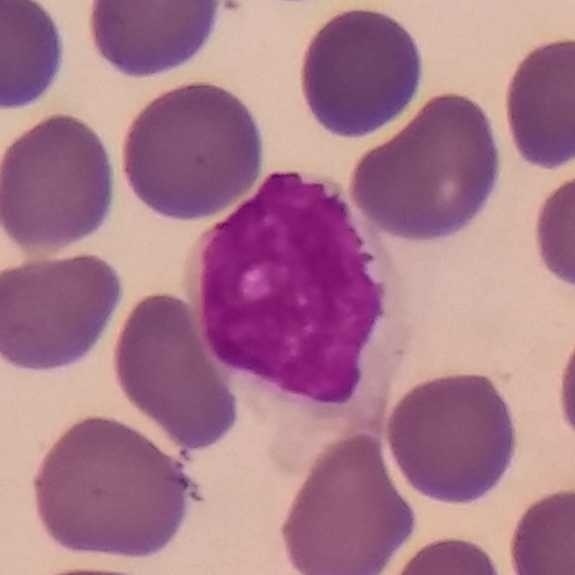
Q: What is shown here?
A: A monocyte.